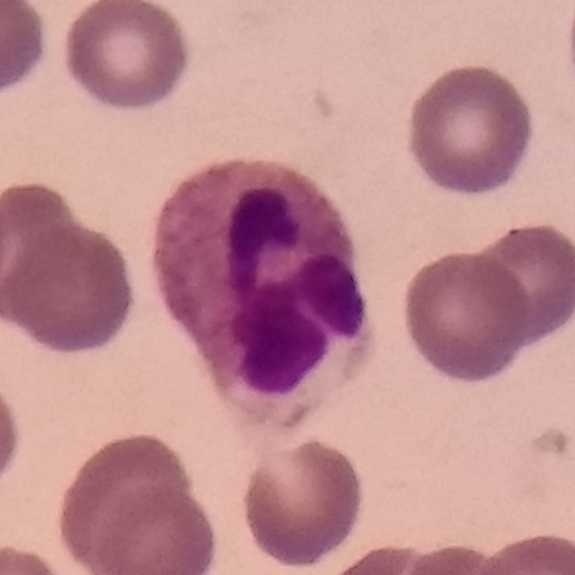

Morphology → neutrophil granulocyte.